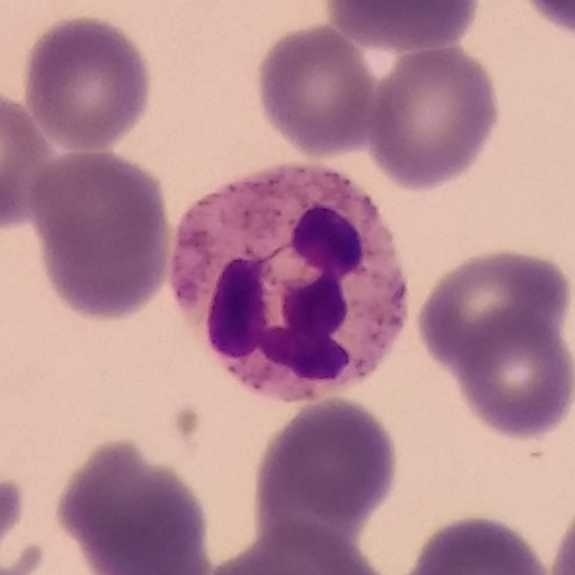 A neutrophil.
Context: Image size 575×575 · single-cell field · peripheral blood film.